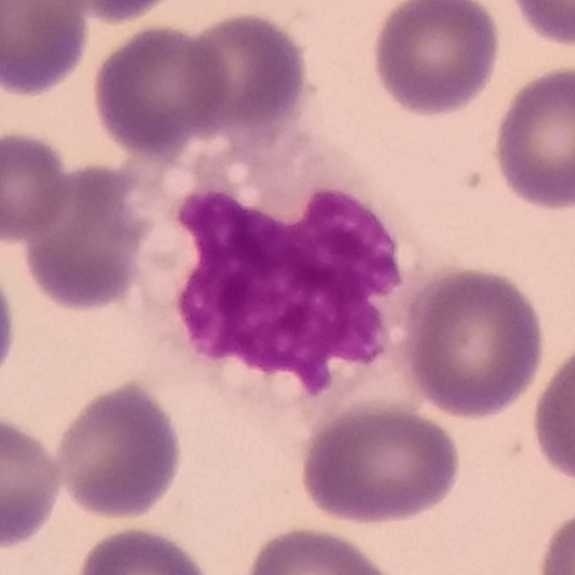 Preparation: Peripheral blood film.
Impression → monocyte.